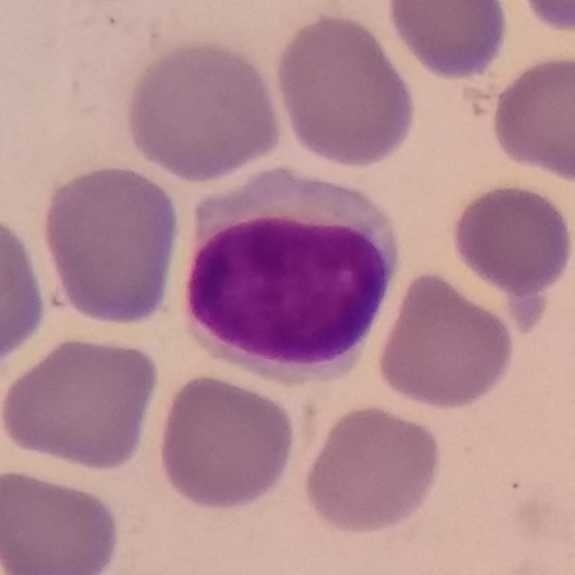 Context: Peripheral blood smear. Impression — lymphocyte.